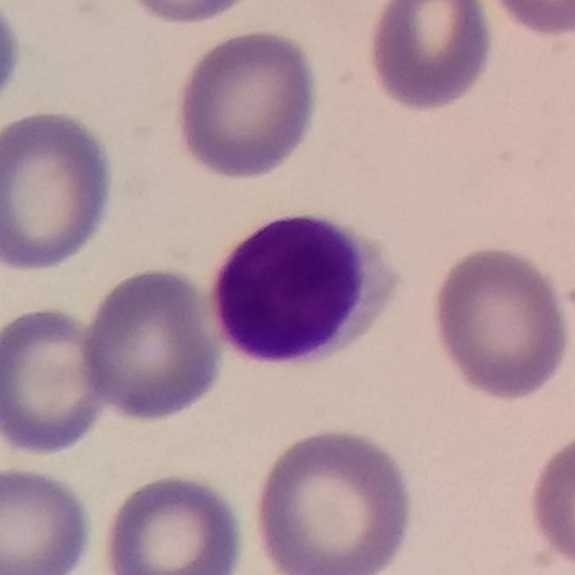{"cell_type": "lymphocyte", "lineage": "lymphoid"}